Peripheral blood film: 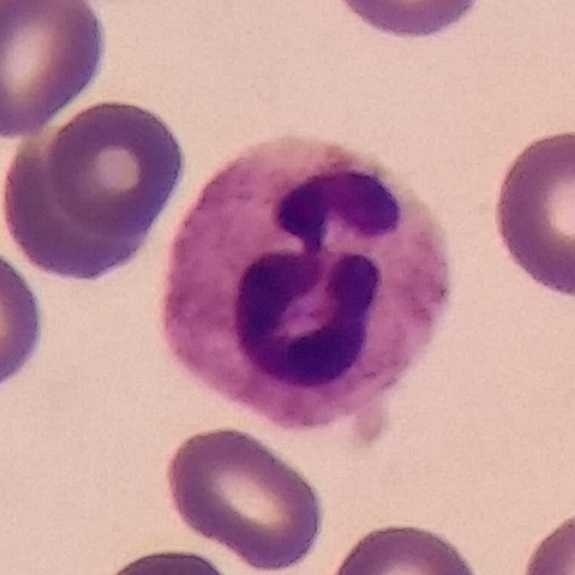

This is a neutrophil granulocyte.